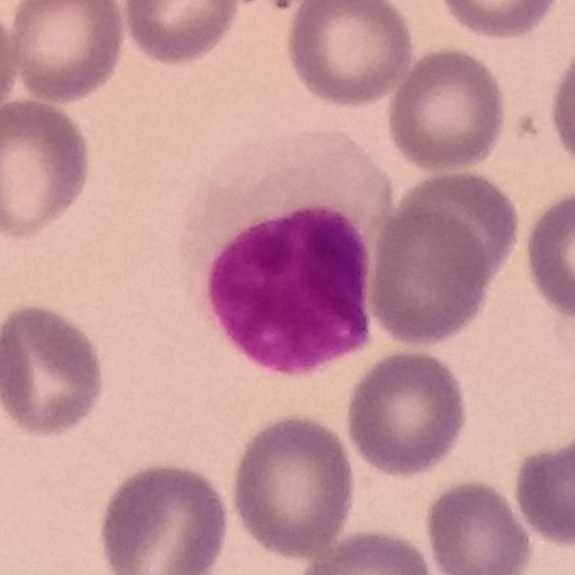 Q: What is the morphological classification of this cell?
A: It is a lymphocyte.